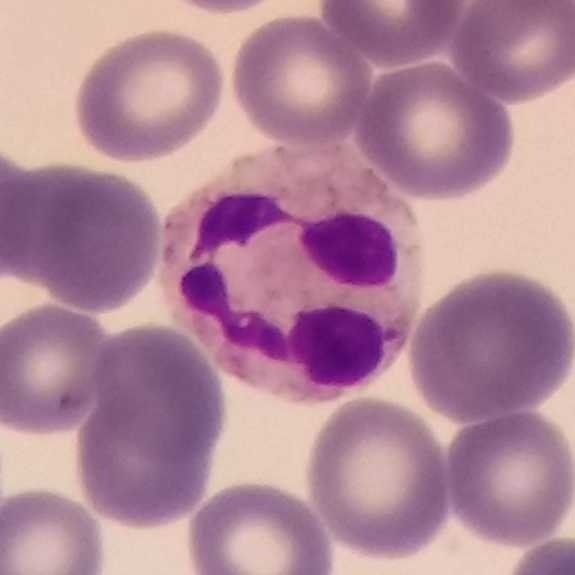

Image: Peripheral blood film. The cell shown is a neutrophilic granulocyte.